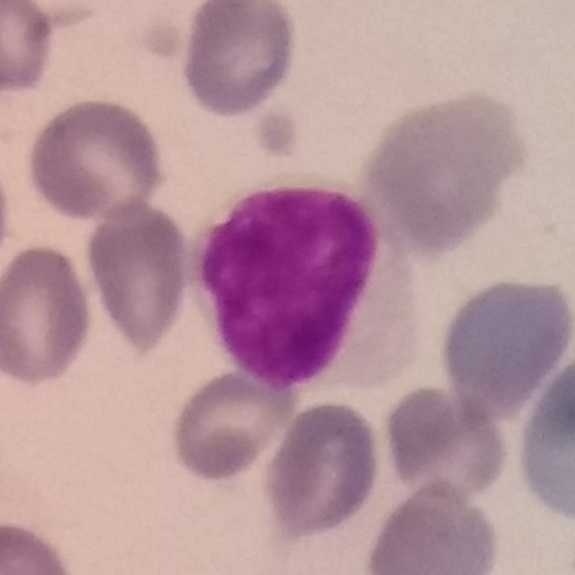

Morphology → lymphocyte.